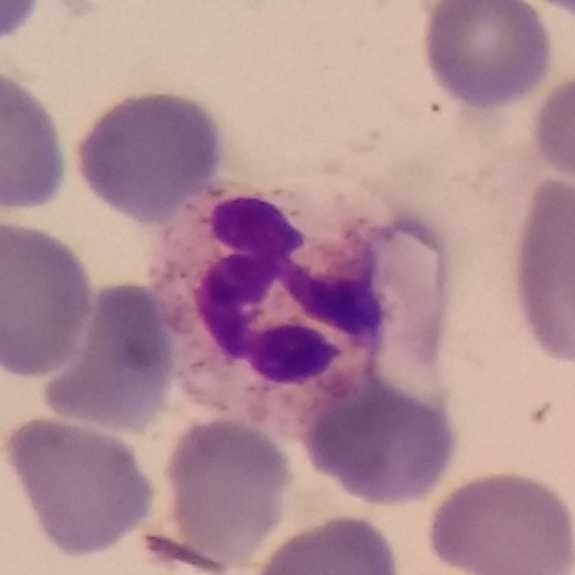 Specimen: peripheral blood film.
White blood cell type: neutrophilic granulocyte.
Lineage: myeloid.
Acquisition: Magnification 100×.